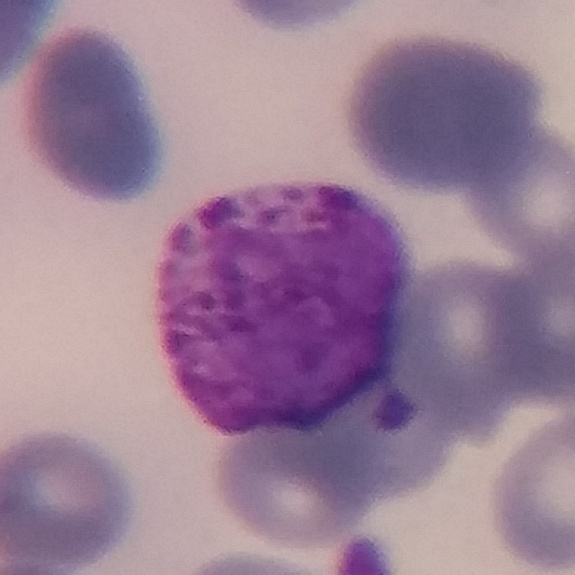Peripheral blood smear. Giemsa stain. Single-cell crop.

Q: Which type of white blood cell is this?
A: Basophil.